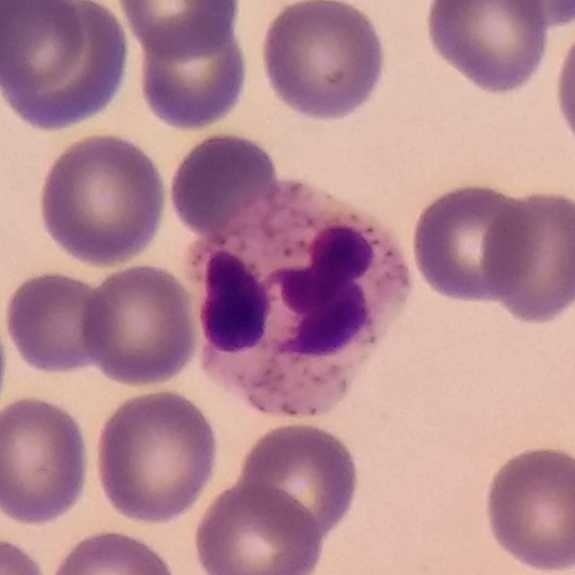

Peripheral blood film.
Q: What type of cell is this?
A: A neutrophilic granulocyte.